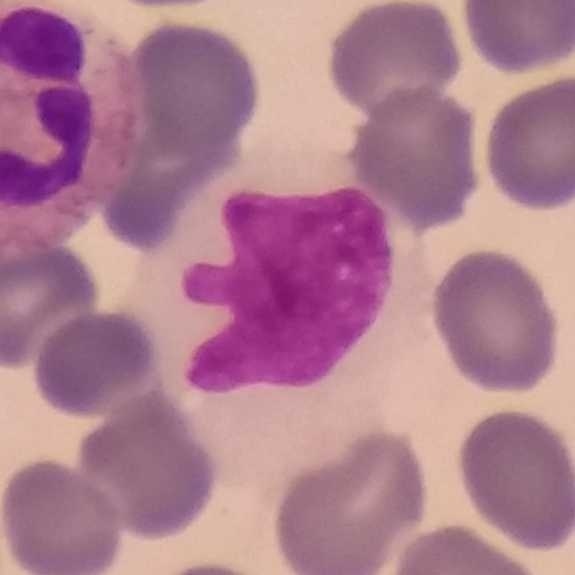
Specimen: peripheral blood smear.
Classification: monocyte.